Peripheral blood film: 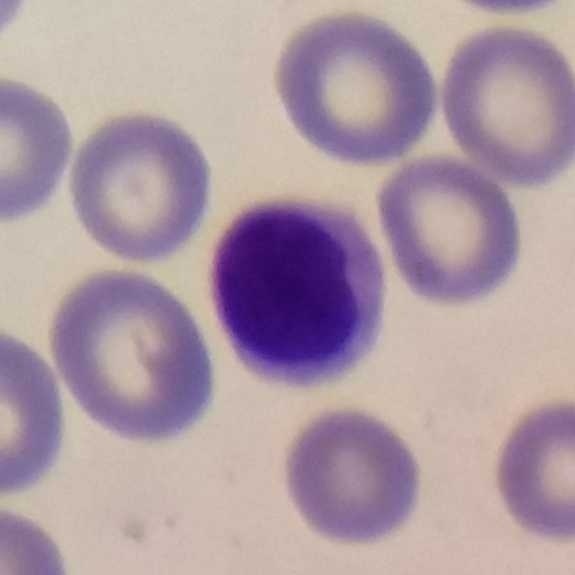
Cell: lymphocyte.